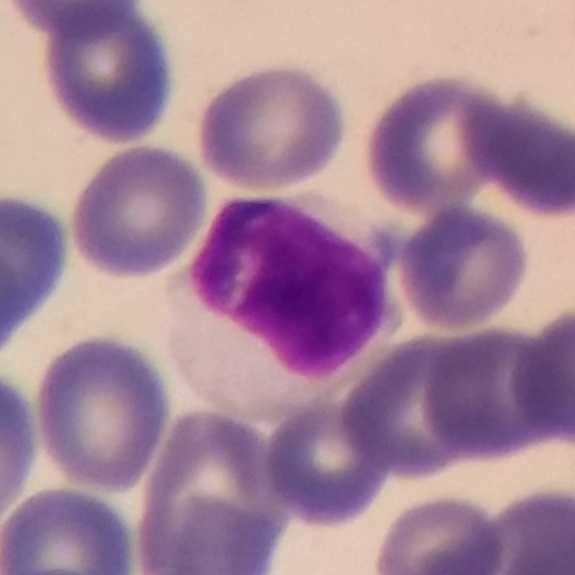White blood cell from a peripheral blood smear: lymphocyte.